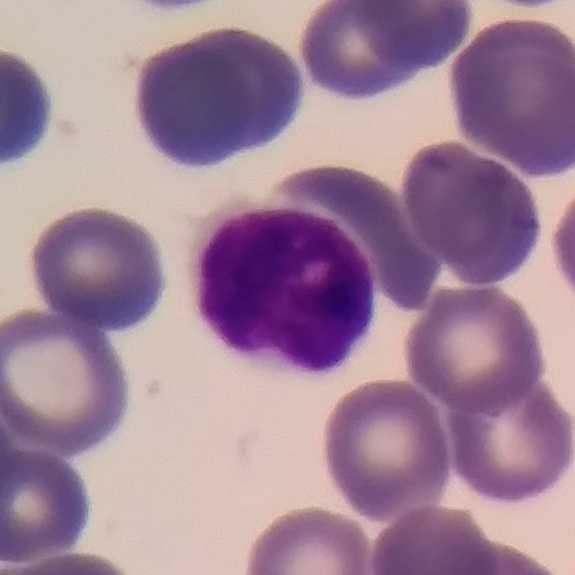
A lymphocyte.

Acquisition: Peripheral blood smear; image size 575×575.